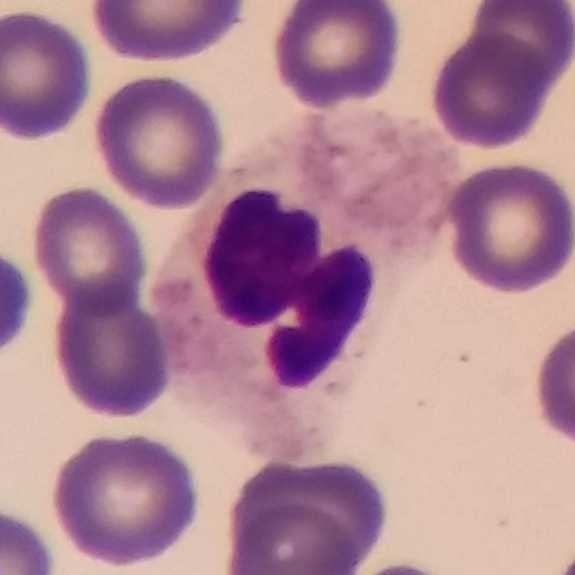Impression → neutrophil.

Context: Peripheral blood film.